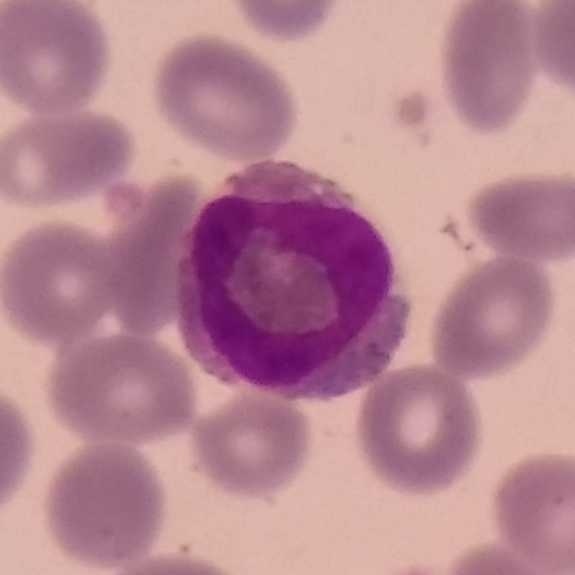 This is an eosinophilic granulocyte. Context: Peripheral blood smear. 100× magnification.